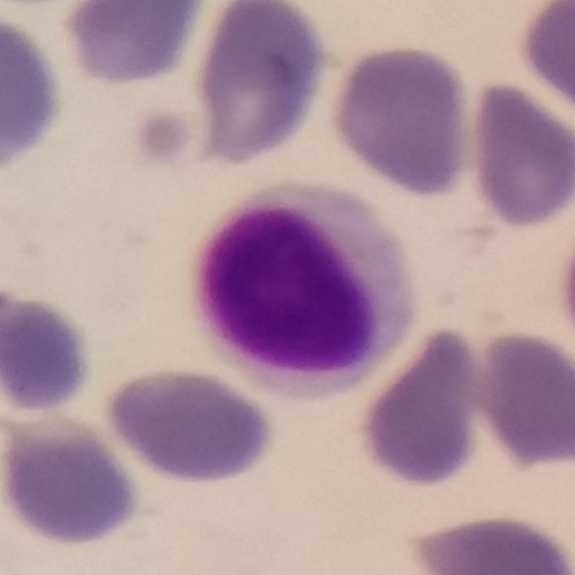 {"cell_type": "lymphocyte", "lineage": "lymphoid"}
100× magnification; single-cell crop; peripheral blood smear.